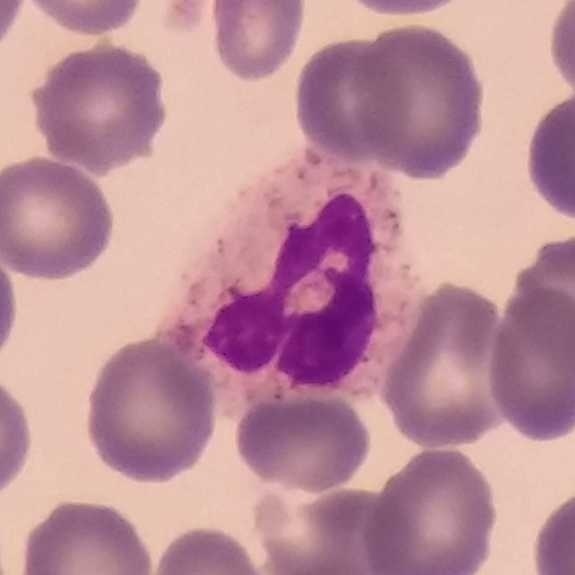
Image: Single-cell field. Photographed through a light microscope with a smartphone camera. Peripheral blood smear.

Single cell identified as a neutrophilic granulocyte.